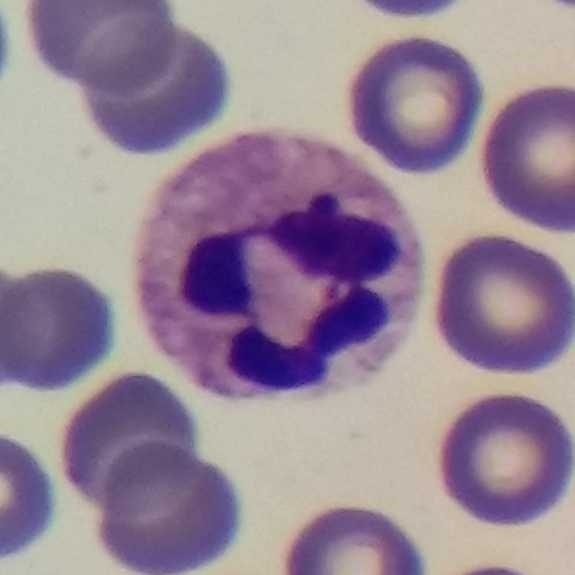
Context: Peripheral blood smear. White blood cell type = neutrophilic granulocyte.